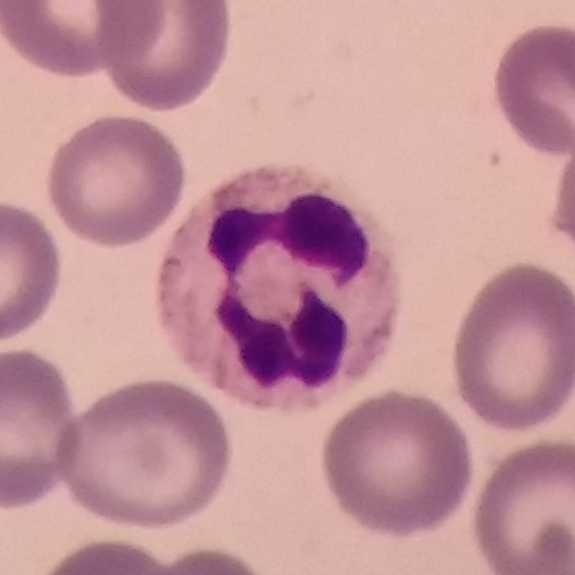

Specimen: peripheral blood smear.
Cell: neutrophil.